Peripheral blood smear
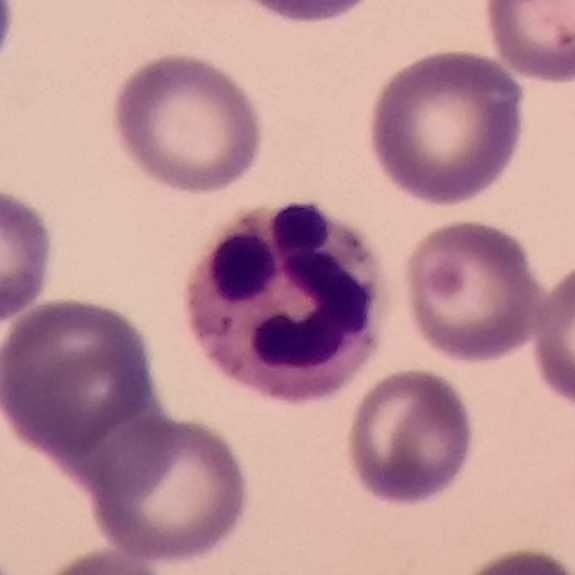
Cell = neutrophil granulocyte.